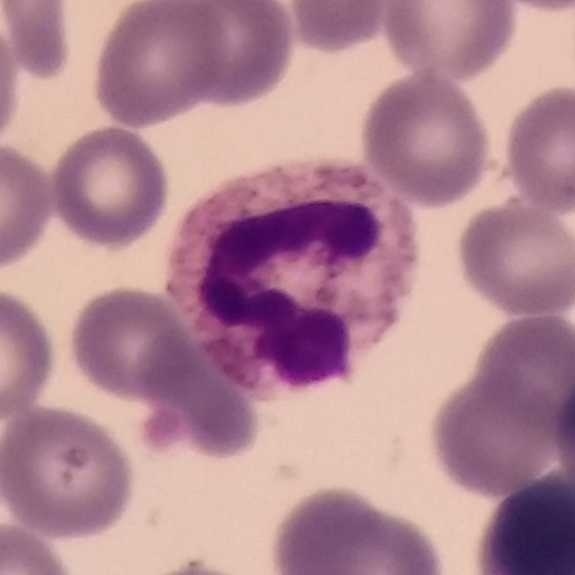

Acquisition: Peripheral blood film.
A neutrophil granulocyte.